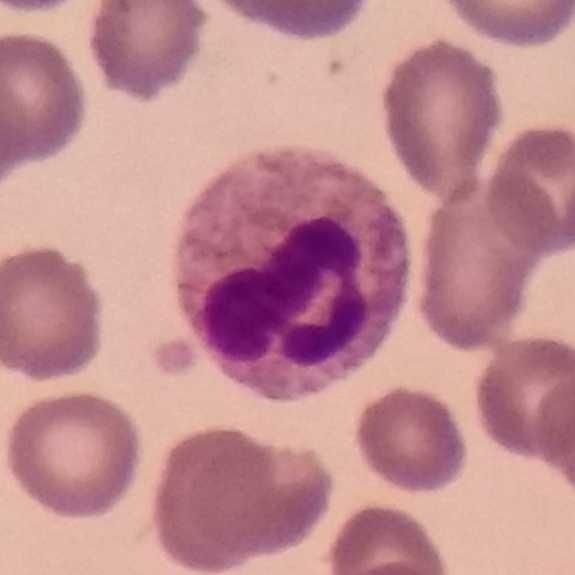
The white blood cell in this image is a neutrophil. Cropped to one leukocyte; peripheral blood film.